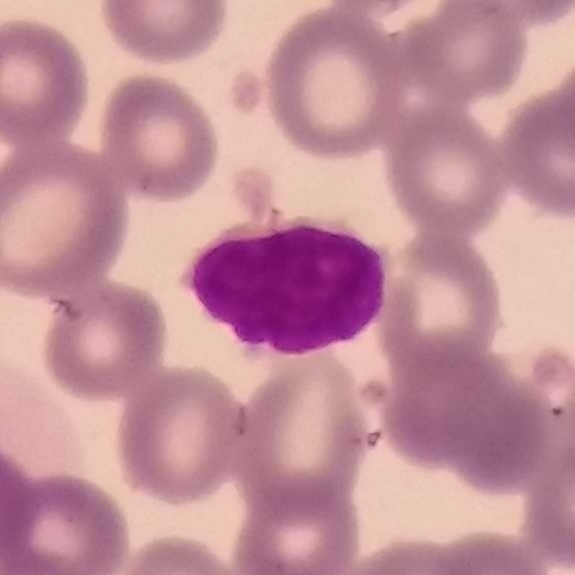Q: What is the morphological classification of this cell?
A: Lymphocyte.

Peripheral blood film; 575×575; single-cell field.